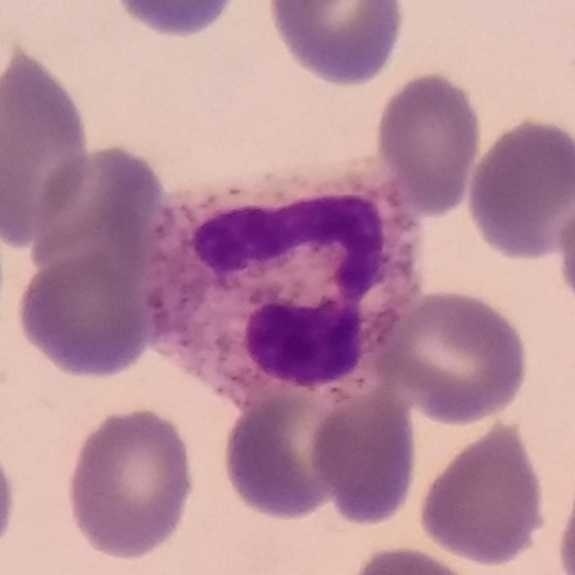Specimen: peripheral blood film.
Cell type: neutrophil.
Lineage: myeloid.
Image size 575×575.